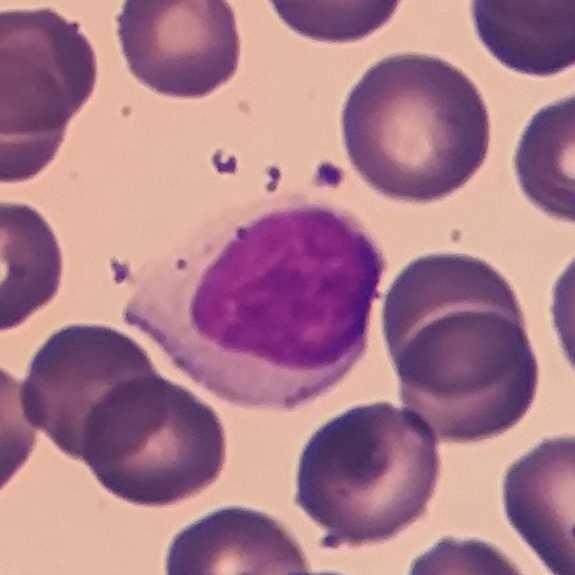Preparation: Peripheral blood smear.

Morphology — lymphocyte.